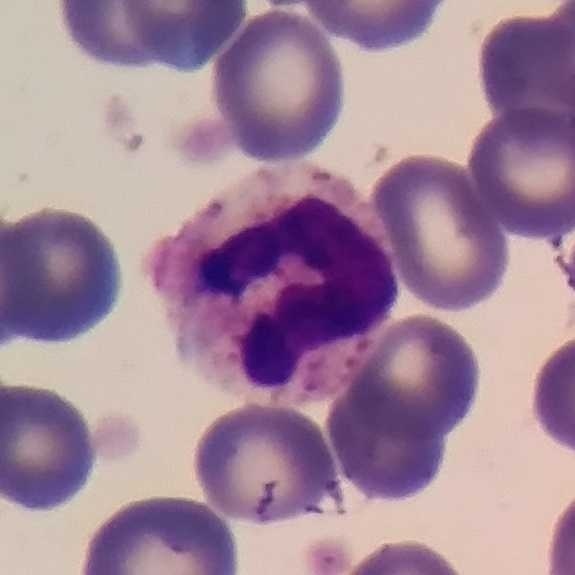 Preparation: Peripheral blood smear.
White blood cell type = neutrophilic granulocyte.